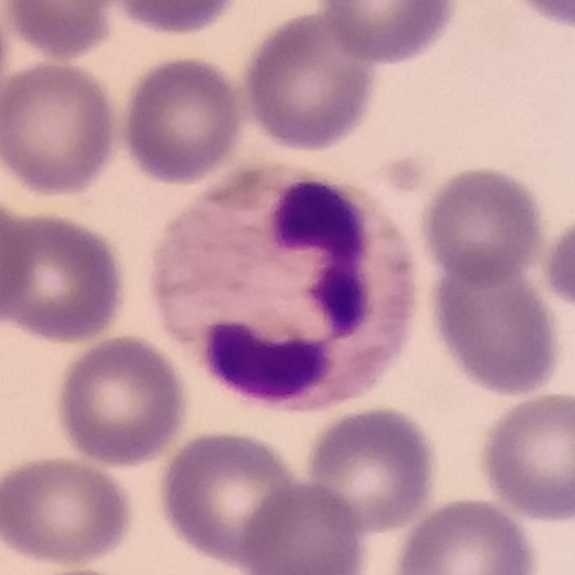Q: Identify the cell.
A: A neutrophil.
Peripheral blood smear; stained with Giemsa.